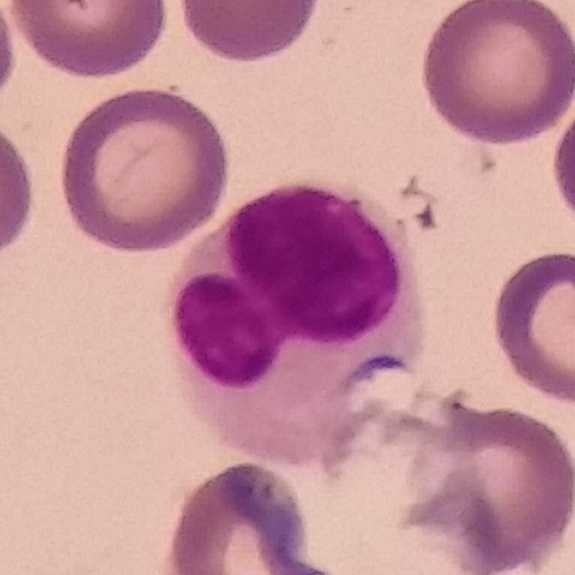
Morphology → monocyte.